Giemsa stain. Peripheral blood film. 575 by 575 pixels.
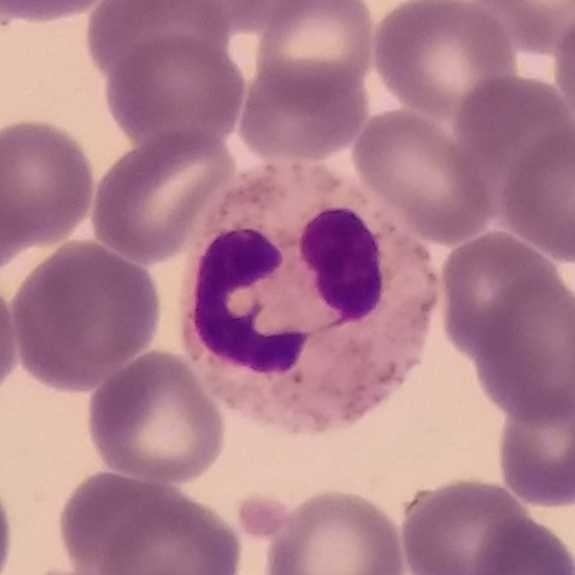Specimen: peripheral blood film.
Classification: neutrophil granulocyte.
Lineage: myeloid.